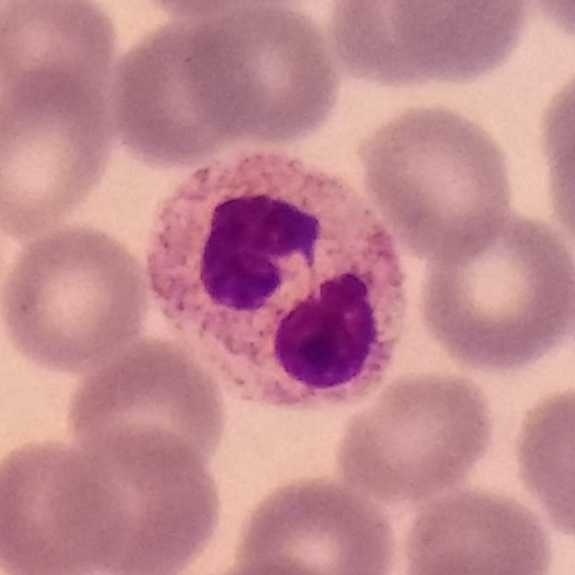Impression — neutrophil.
Acquisition: Peripheral blood smear. Giemsa stain.